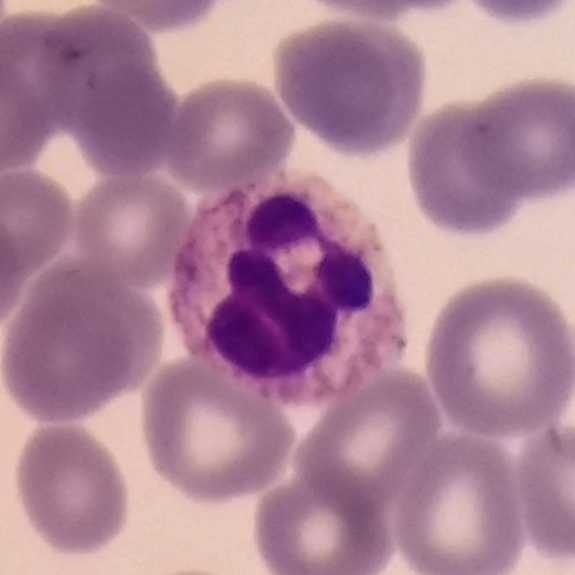Q: What is shown here?
A: This is a neutrophil.